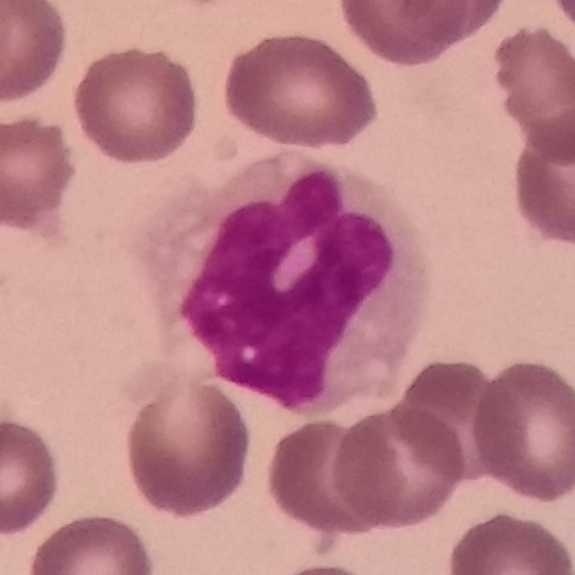

Single cell identified as a monocyte.